575 by 575 pixels; peripheral blood film:
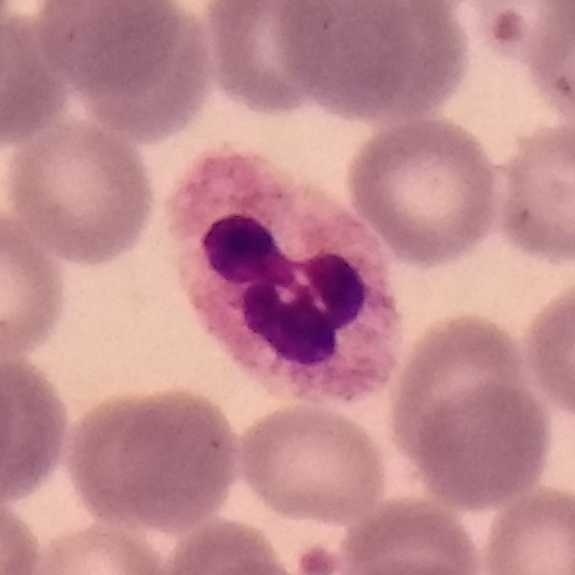
Impression → neutrophilic granulocyte.